Single-cell field. Peripheral blood smear:
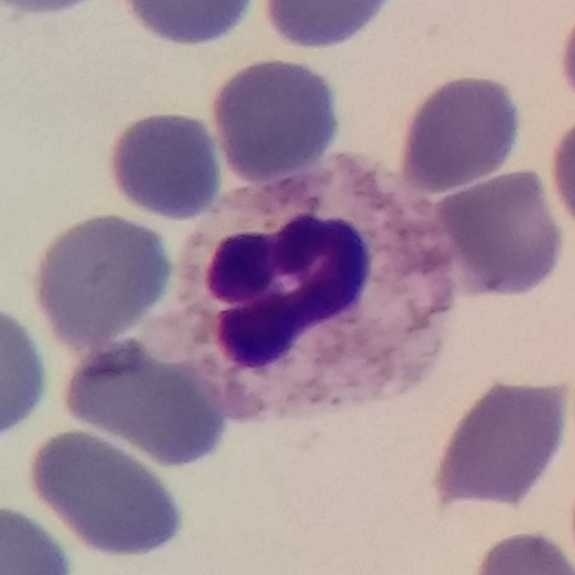 Classification = neutrophilic granulocyte.